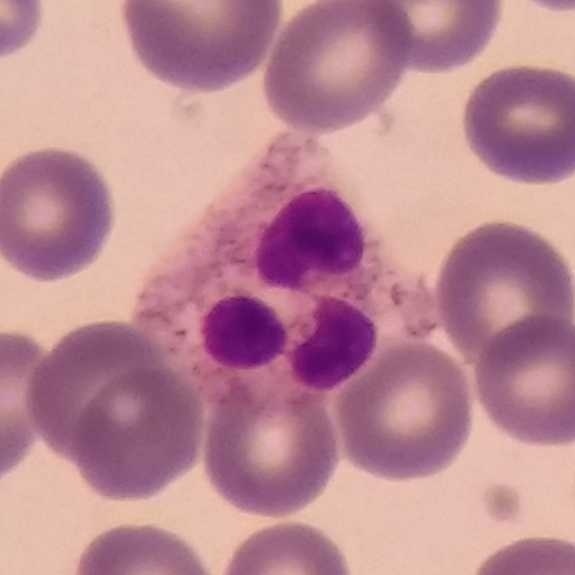
A neutrophil granulocyte on a peripheral blood smear.